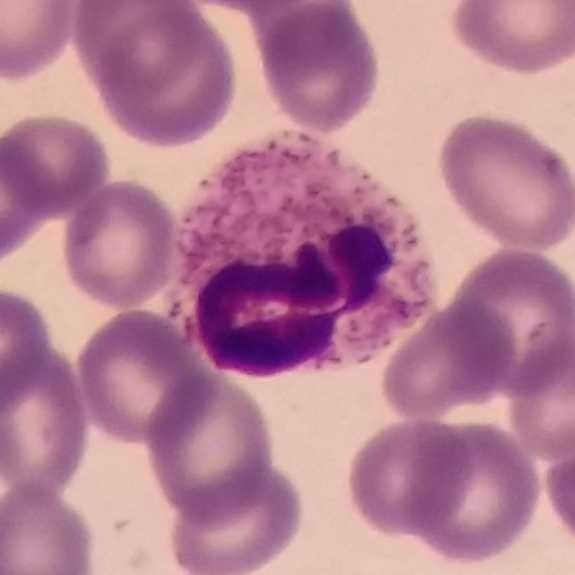
The cell shown is a neutrophil.

Preparation: Peripheral blood smear.